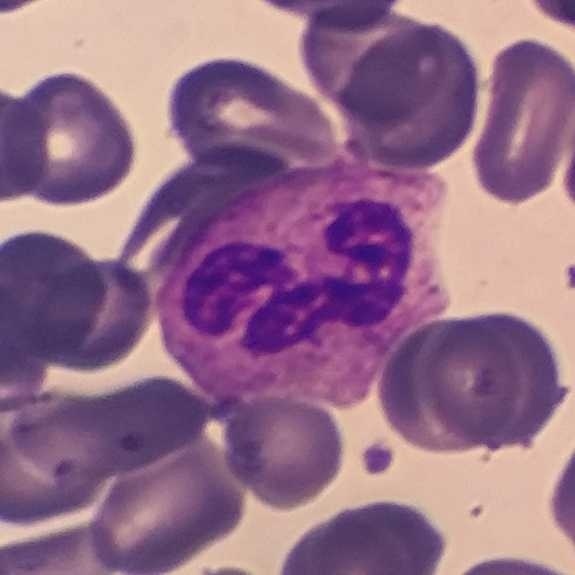

Context: Peripheral blood smear. Single cell identified as a neutrophil.